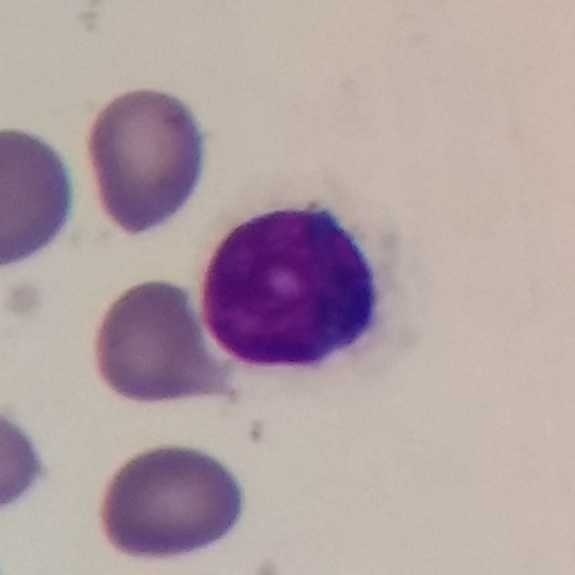

This is a lymphocyte.